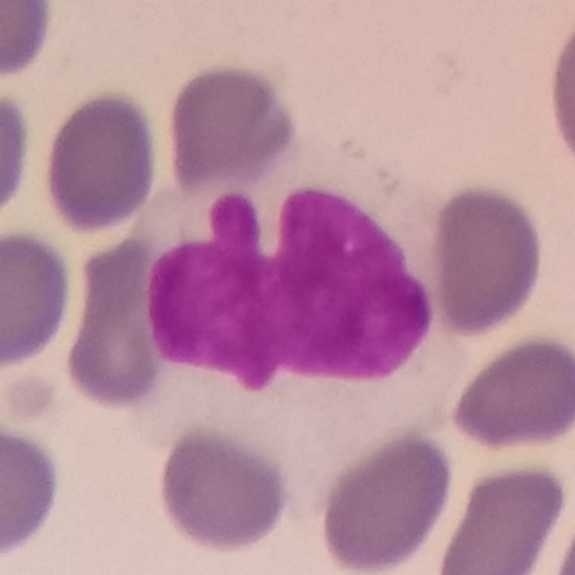 Preparation: Peripheral blood smear.
Cell type — monocyte.